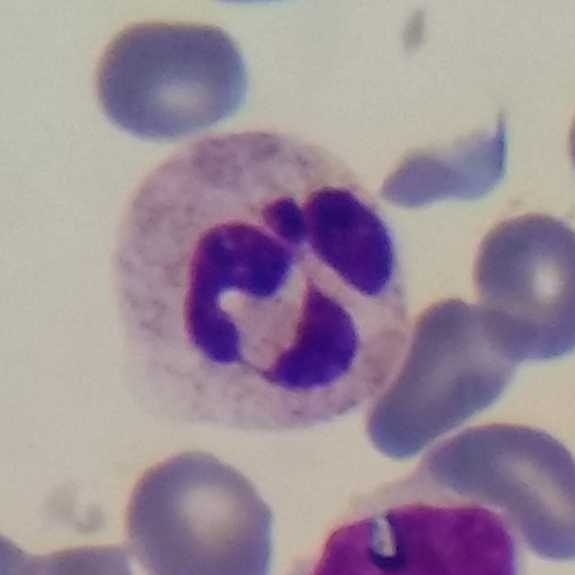 The cell is neutrophil.